Peripheral blood film — 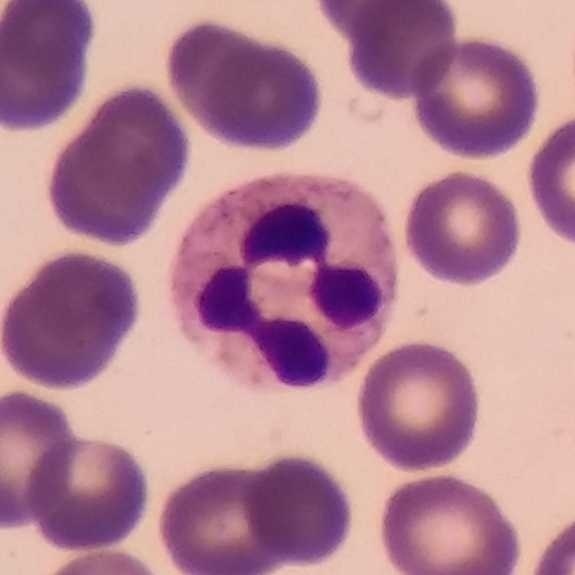 Cell: neutrophil granulocyte.